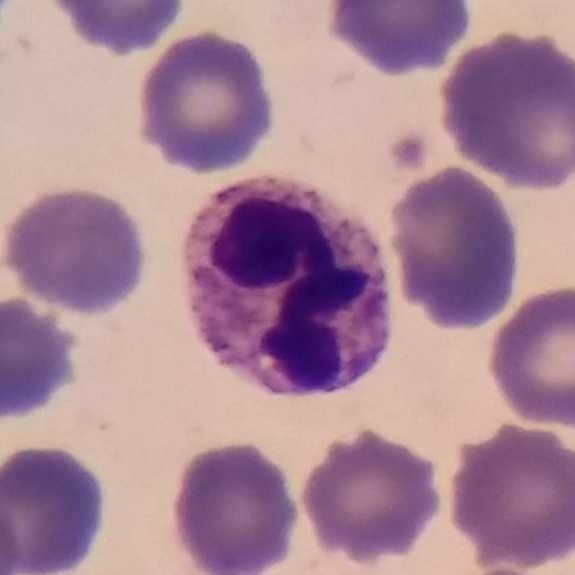
Image: Peripheral blood smear. White blood cell type = neutrophilic granulocyte.